Giemsa-stained · smartphone camera mounted on the microscope eyepiece · peripheral blood smear: 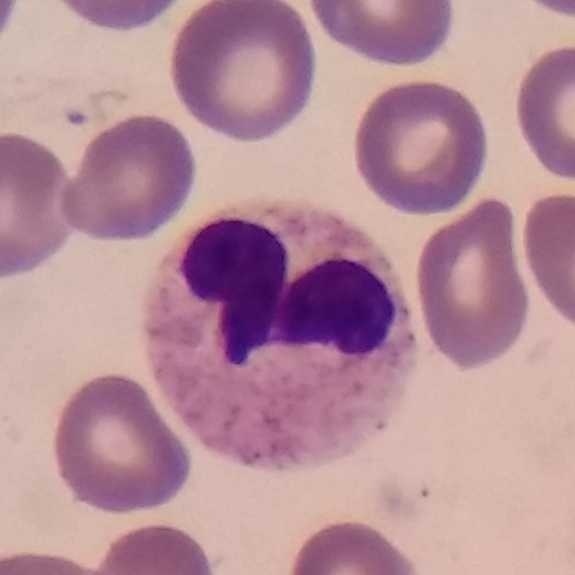
This is a neutrophilic granulocyte.